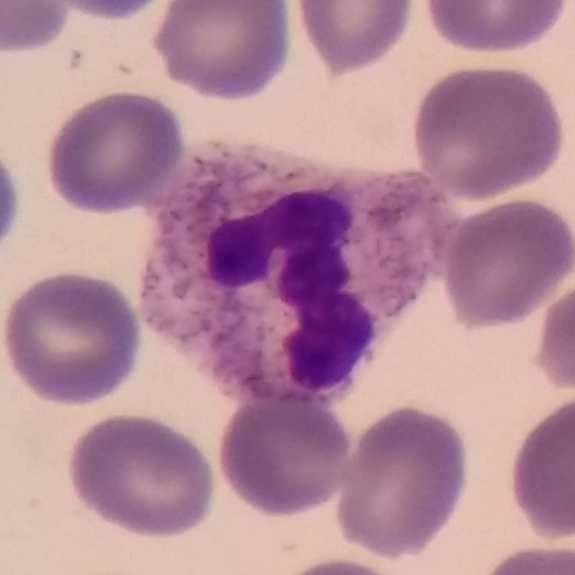 Peripheral blood smear. Impression → neutrophil granulocyte.